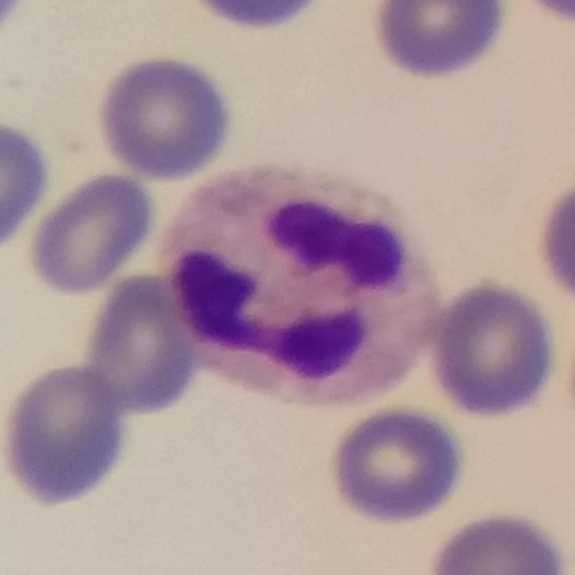

Classification = neutrophil.